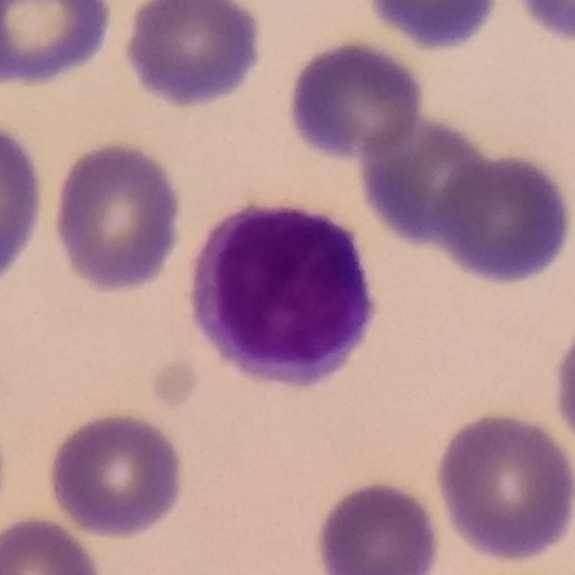 Giemsa-stained · peripheral blood smear. Morphology consistent with a lymphocyte.